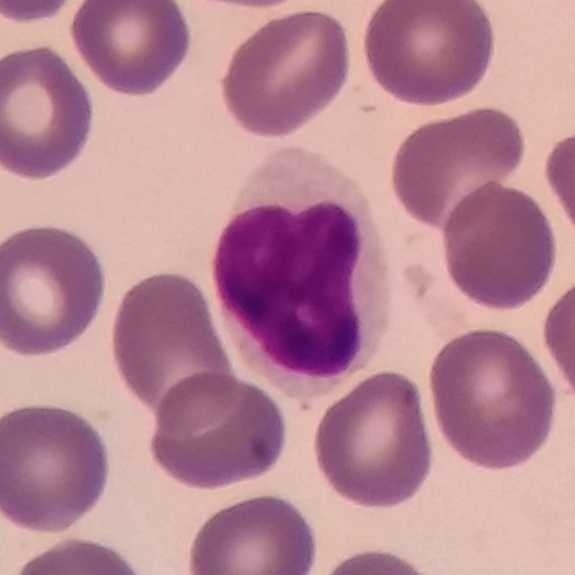
Single cell identified as a lymphocyte.